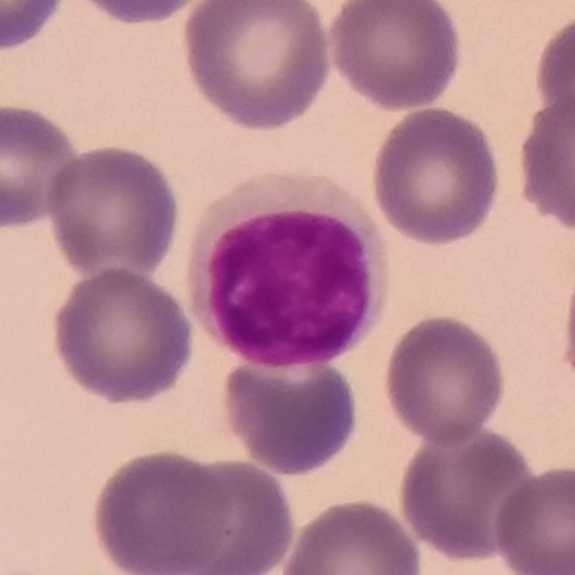
Acquisition: Giemsa-stained. Peripheral blood film. 100× magnification.

This is a lymphocyte.